Smartphone photomicrograph; peripheral blood smear; 575×575 px.
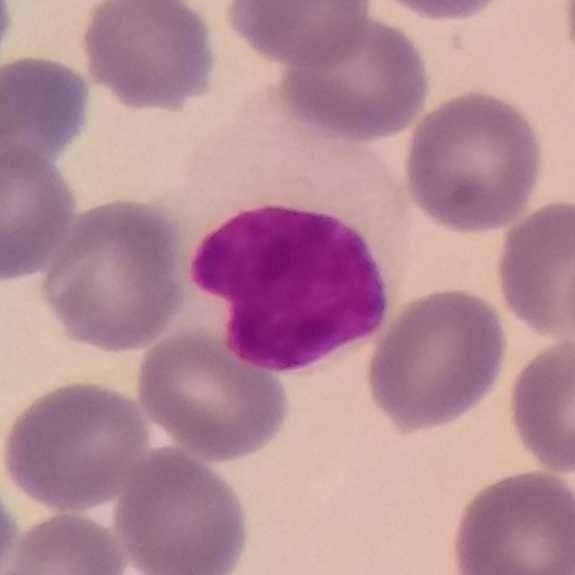

Specimen: peripheral blood film.
White blood cell type: lymphocyte.
Lineage: lymphoid.